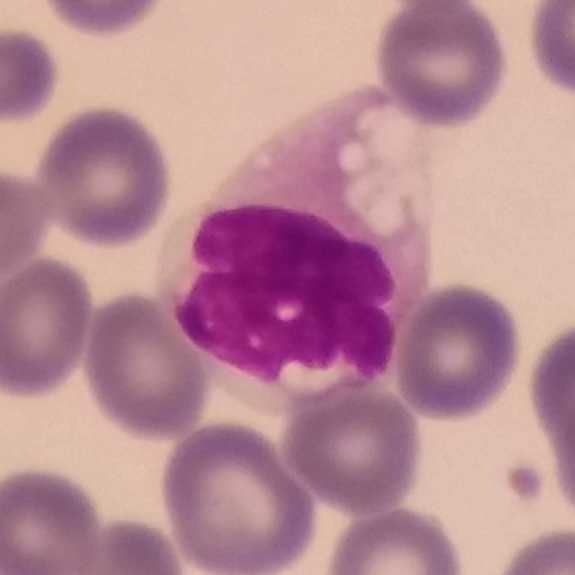 Specimen: peripheral blood film.
Cell type: monocyte.
Lineage: myeloid.